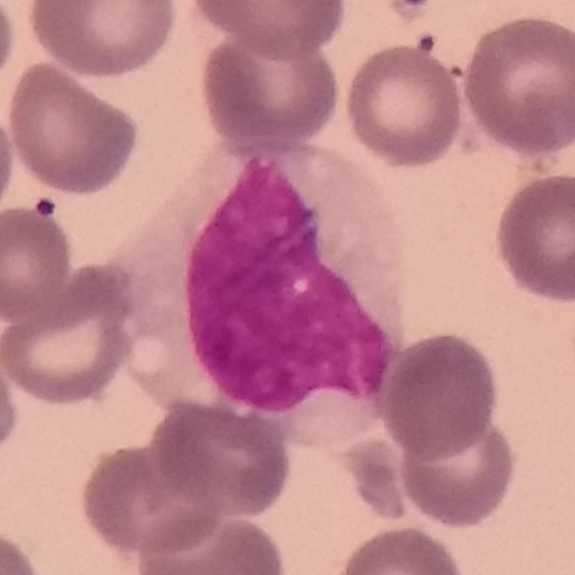Q: Identify the cell.
A: This is a monocyte. Preparation: Peripheral blood smear; magnification 100×.